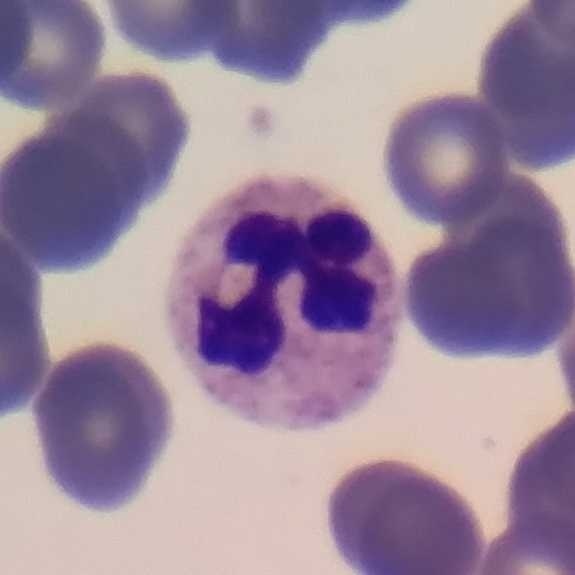Peripheral blood smear; photographed through a light microscope with a smartphone camera.

Q: What type of cell is this?
A: A neutrophilic granulocyte.